Peripheral blood film. 100× magnification: 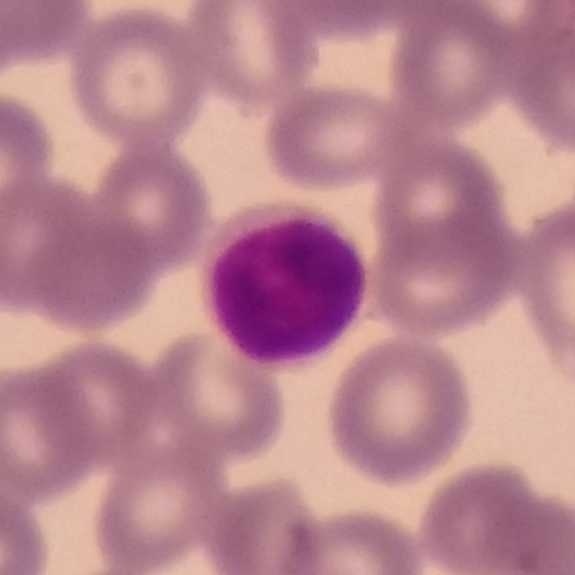 Identified as a lymphocyte.